Peripheral blood film; photographed through a light microscope with a smartphone camera:
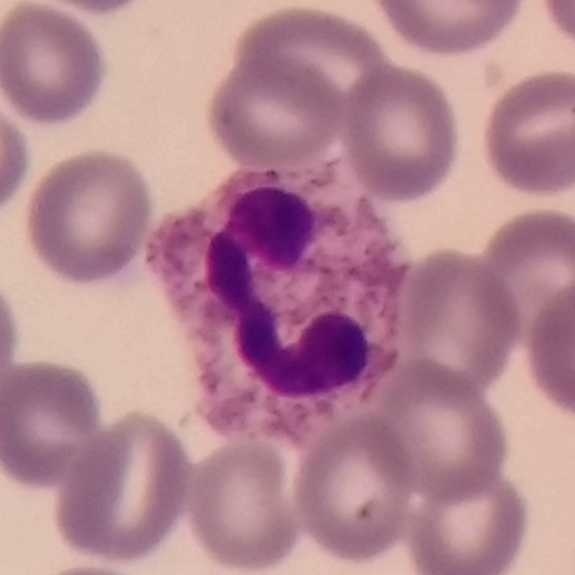
Specimen: peripheral blood smear.
Cell type: neutrophil.